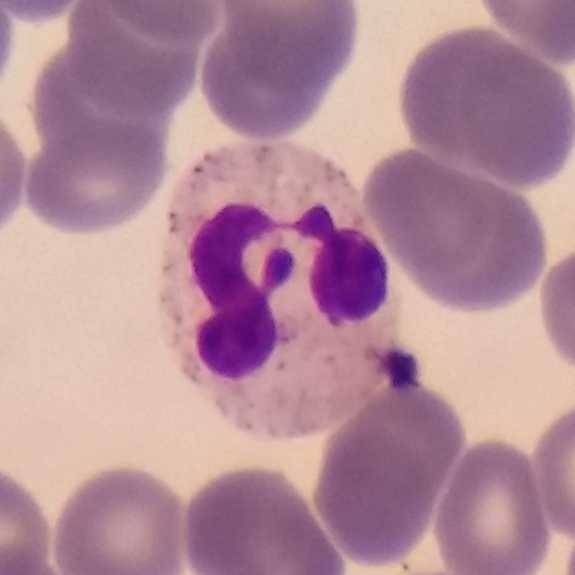
Peripheral blood film, single cell — neutrophil granulocyte.